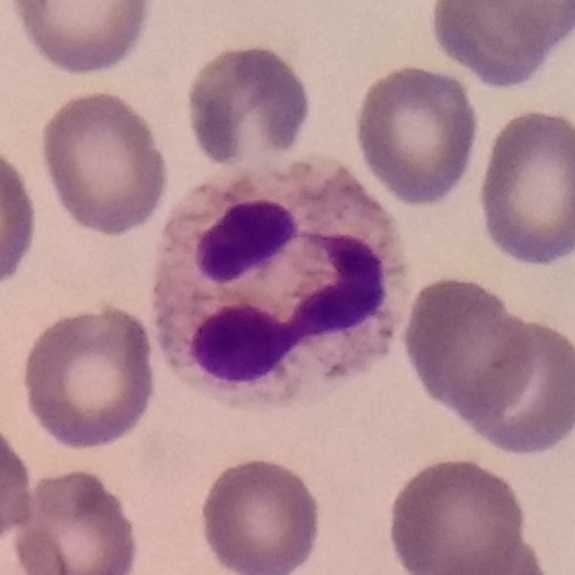

Acquisition: Imaged at 100×; peripheral blood film.

Impression → neutrophilic granulocyte.